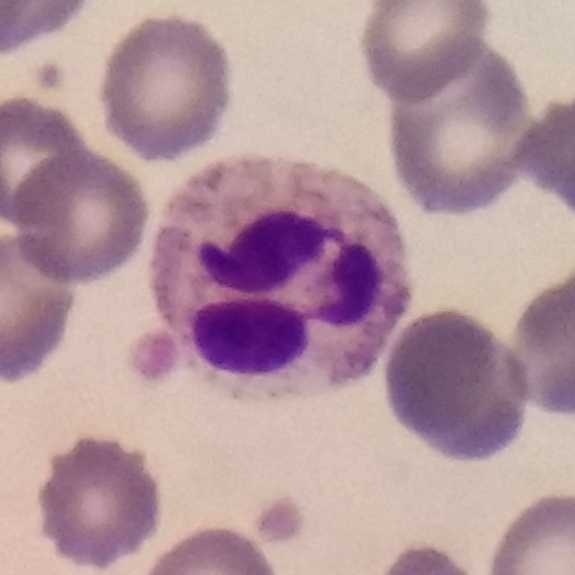Showing a neutrophilic granulocyte.